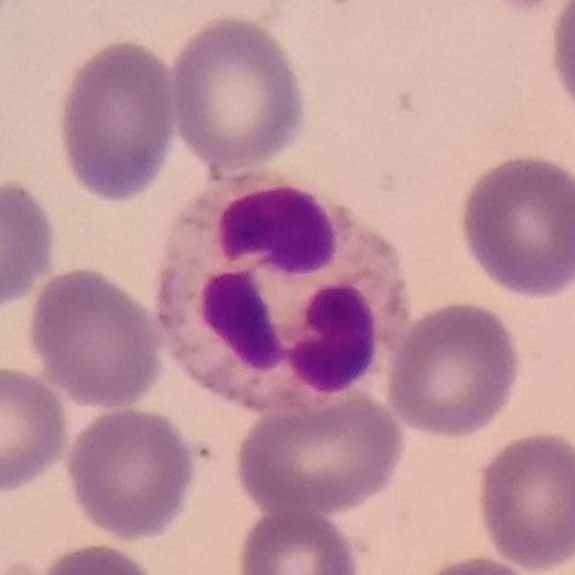 Peripheral blood film; 100× magnification.

Single cell identified as a neutrophil.